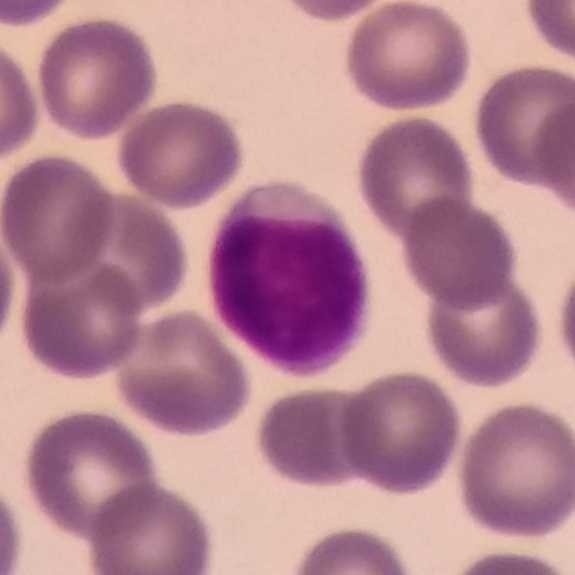 Classification: lymphocyte.